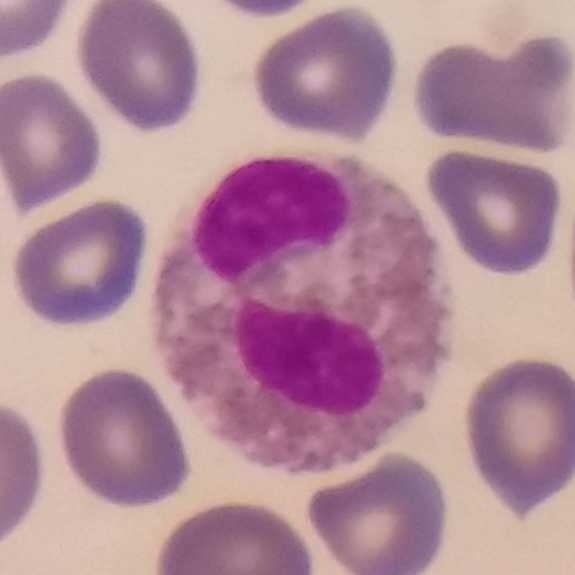
Preparation: Peripheral blood smear. 575×575 px. Cell type: eosinophilic granulocyte.